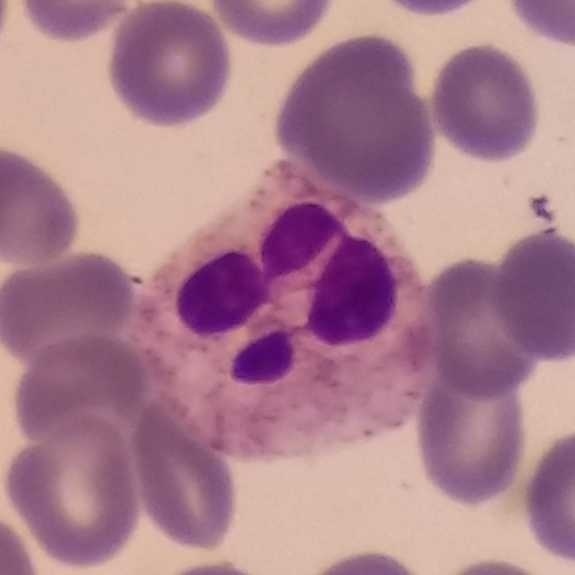{"cell_type": "neutrophil", "lineage": "myeloid"}

Acquisition: 100× magnification. Peripheral blood film.